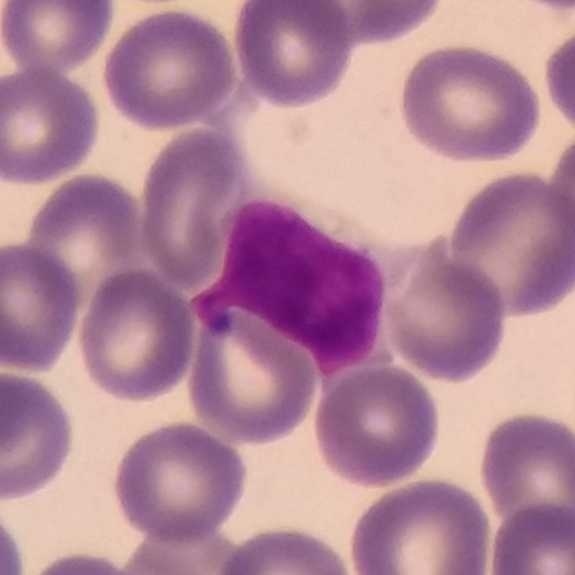

Stained with Giemsa. Specimen: peripheral blood smear.
Morphological class: lymphocyte.